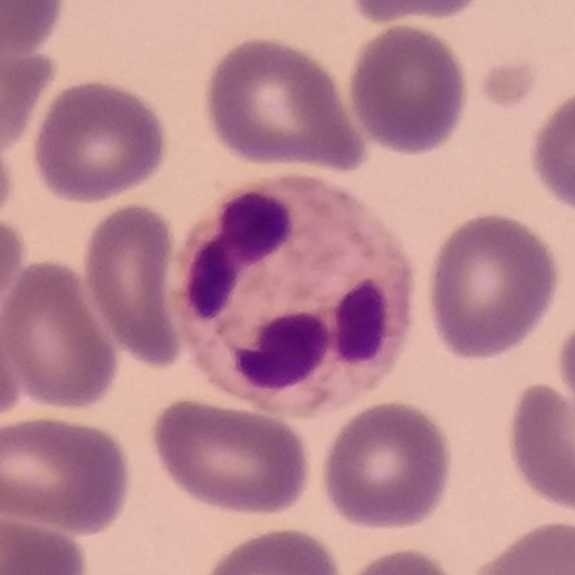Cell type = neutrophil granulocyte.
Photographed through a light microscope with a smartphone camera · peripheral blood film.